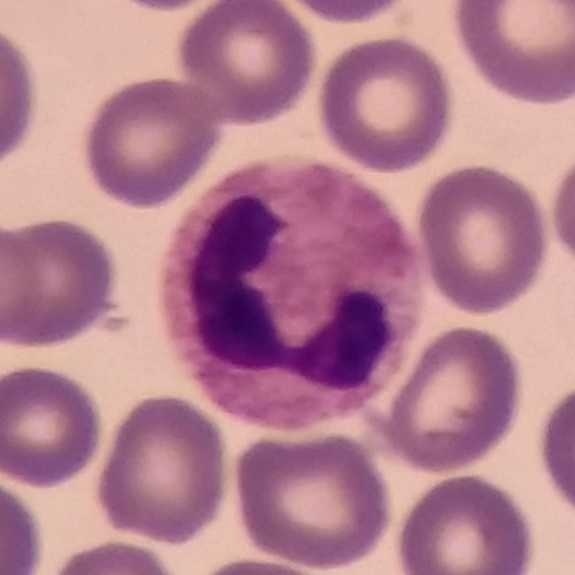

Cropped to one leukocyte · 575 by 575 pixels.

Specimen: peripheral blood film.
Classification: neutrophilic granulocyte.
Lineage: myeloid.